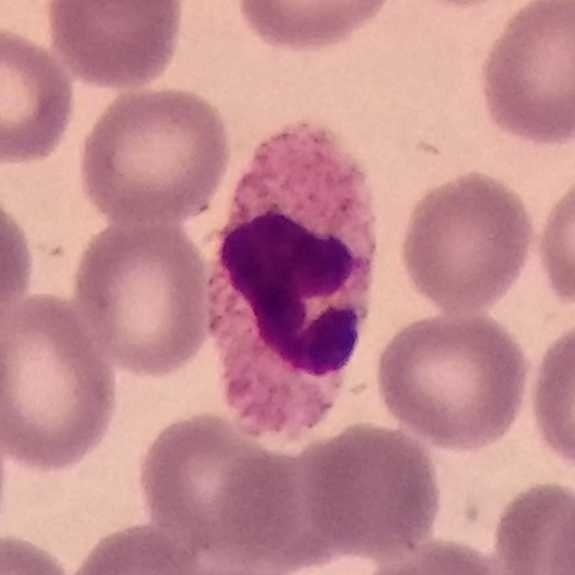
Context: Peripheral blood smear.
Cell type: neutrophil.